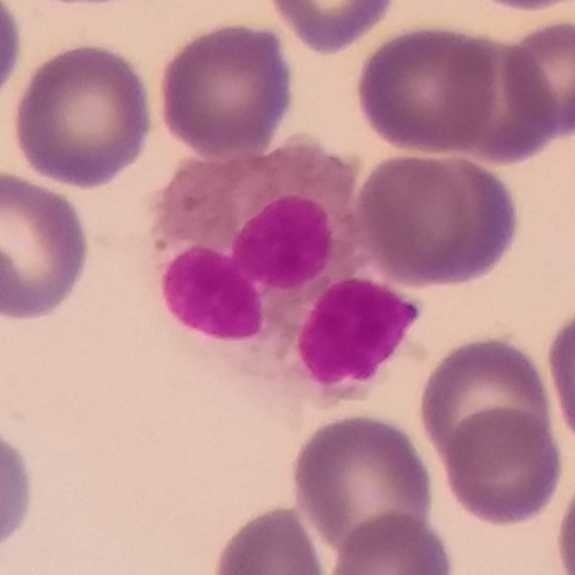
Q: Identify the cell.
A: This is an eosinophil.